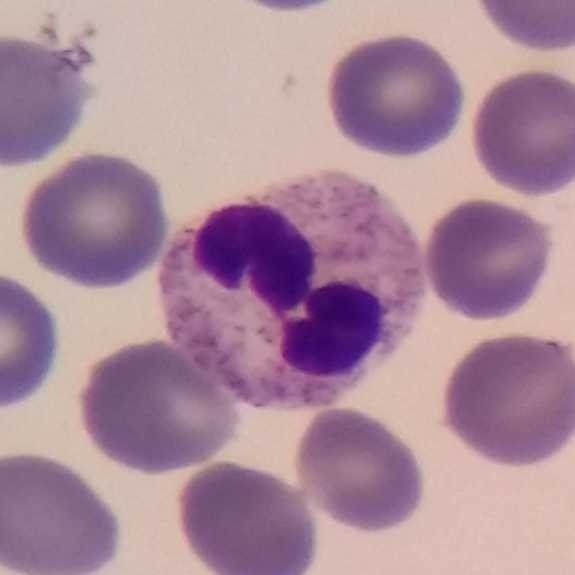Peripheral blood smear · 100× magnification.
White blood cell type = neutrophilic granulocyte.